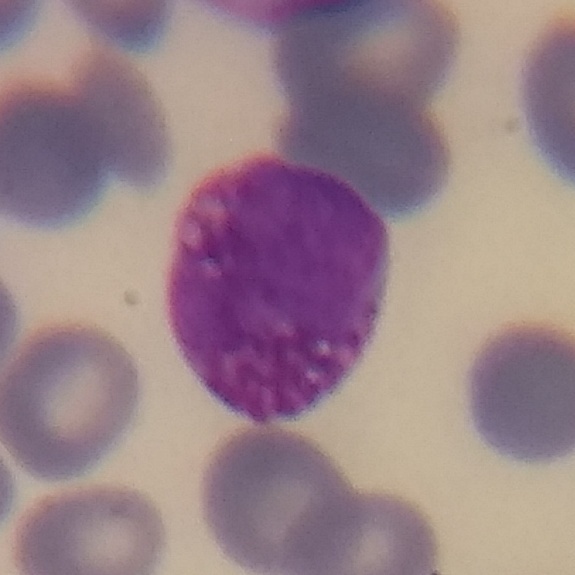Cell type = basophil.

Context: Peripheral blood smear.